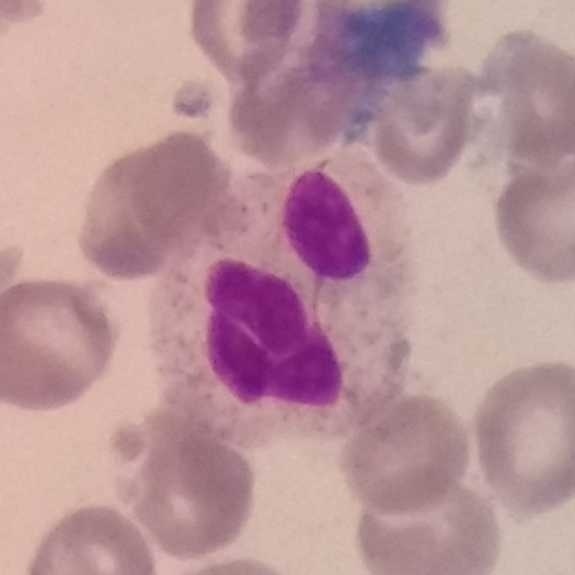Preparation: 575×575 px; peripheral blood film; single white blood cell cropped from the smear photograph.

Cell type — neutrophilic granulocyte.